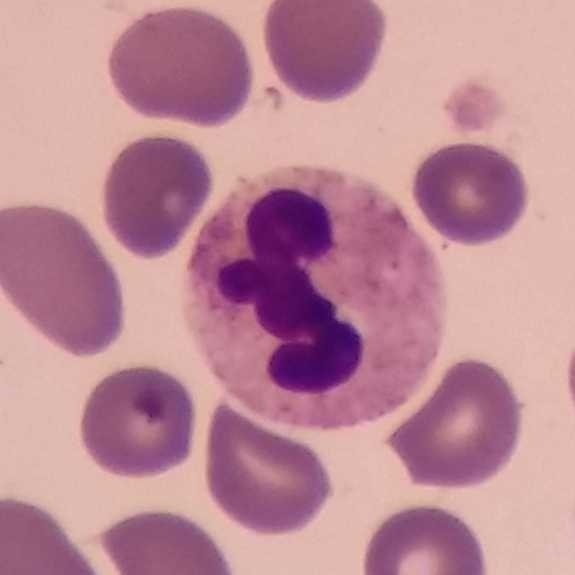 This is a neutrophilic granulocyte.

Image: Peripheral blood smear.